Magnification 100× · peripheral blood film · image size 575×575.
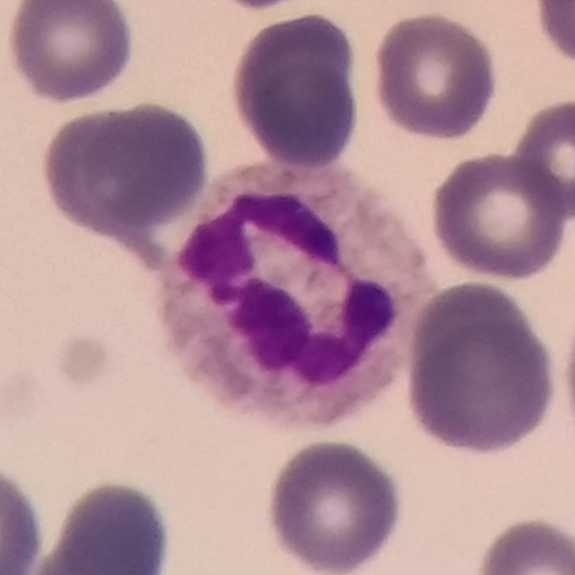 The cell shown is a neutrophil.